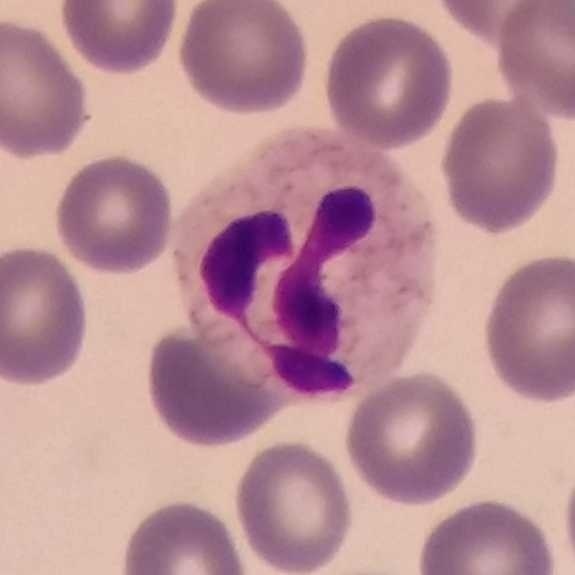
Impression → neutrophil.

Peripheral blood smear; Giemsa-stained.